Peripheral blood smear:
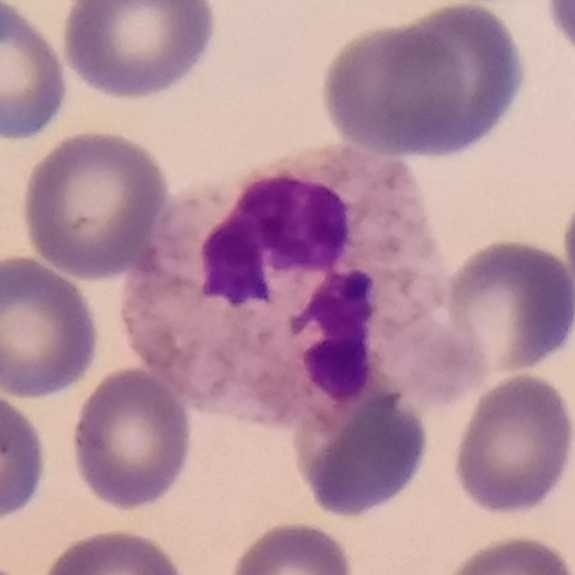
Classification = neutrophil granulocyte.